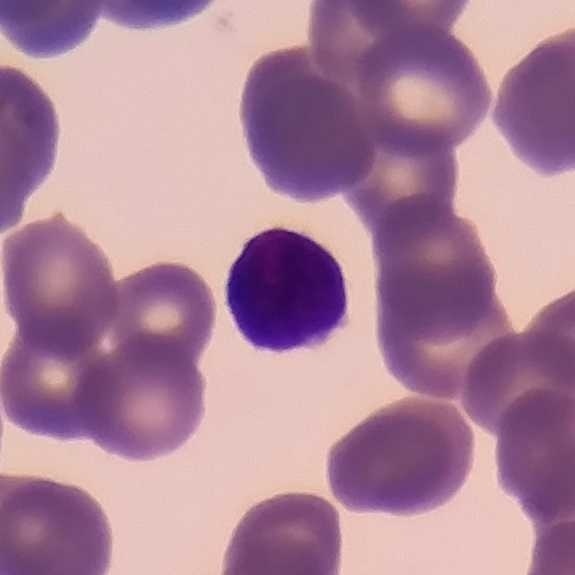
Image: Peripheral blood smear. Giemsa-stained. Imaged at 100×. The cell shown is a lymphocyte.